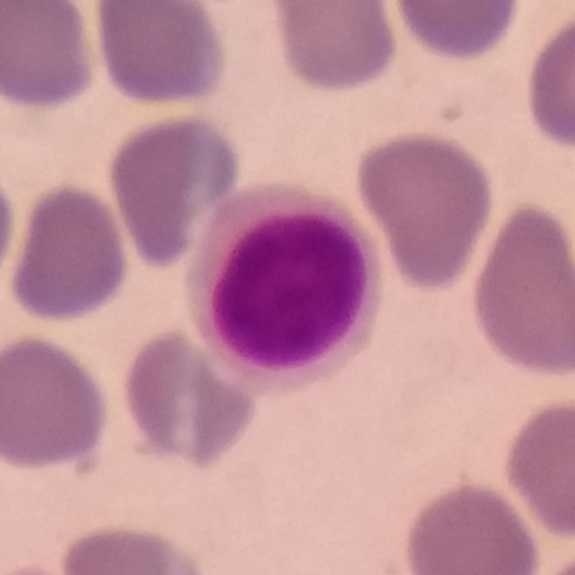
Q: What is the morphological classification of this cell?
A: It is a lymphocyte.

Peripheral blood film · Giemsa-stained.